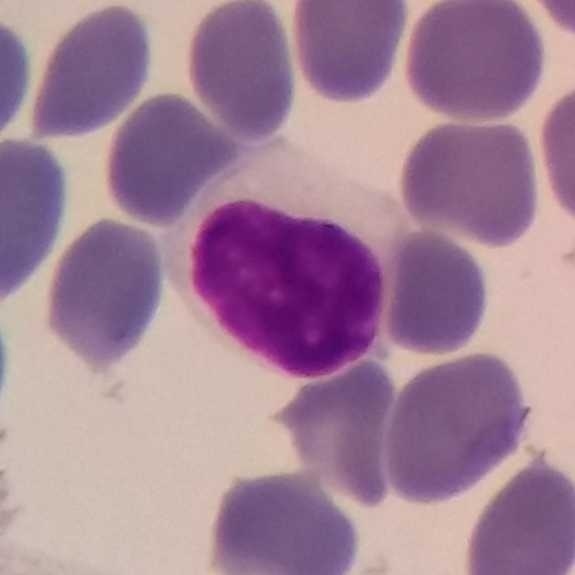 Single cell identified as a lymphocyte.